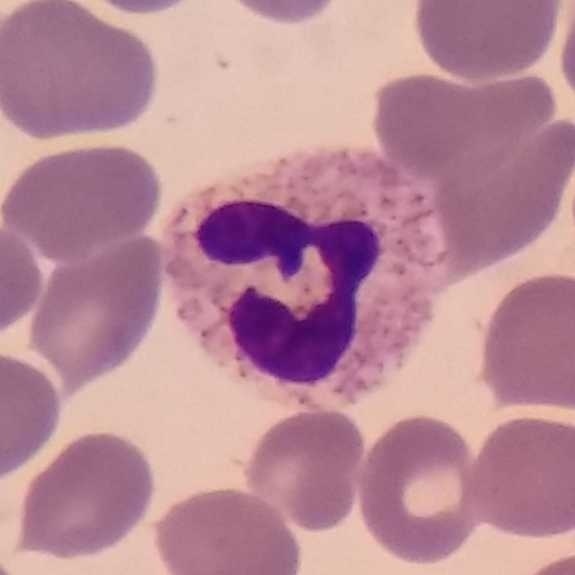Specimen: peripheral blood smear.
Classification: neutrophil.
Lineage: myeloid.